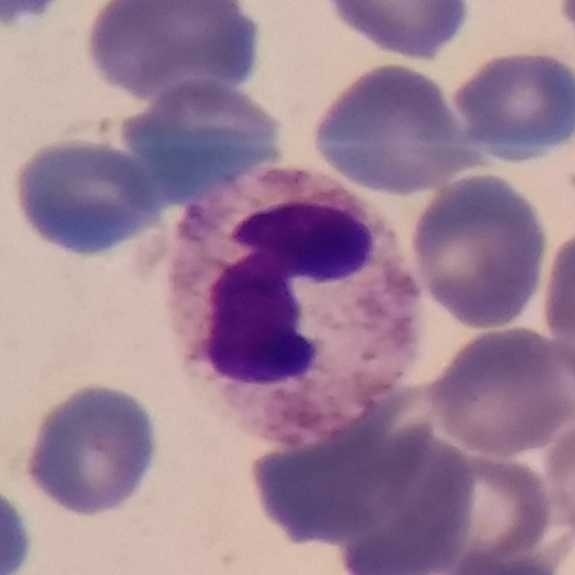
White blood cell type: neutrophilic granulocyte.
Preparation: Peripheral blood smear.